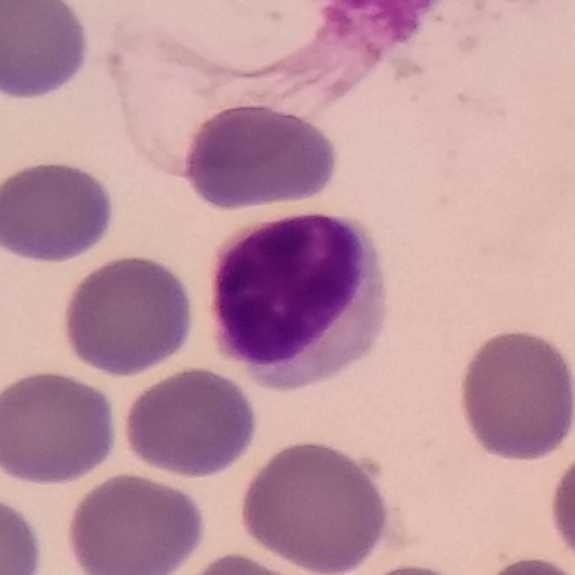
Context: Imaged at 100× · peripheral blood smear.
Morphology — lymphocyte.